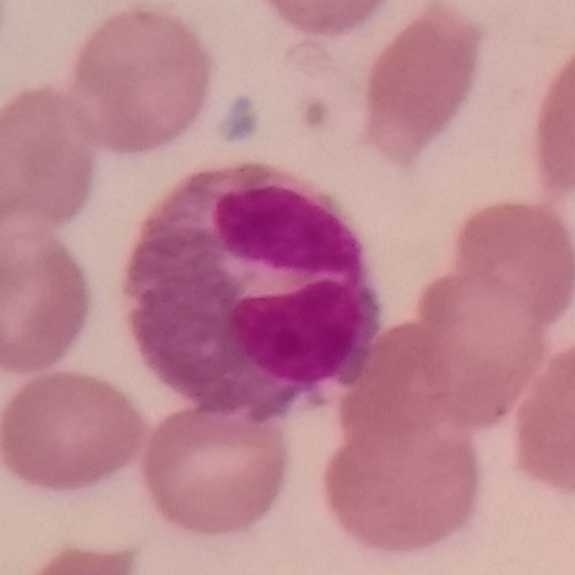 Morphological class = eosinophil.